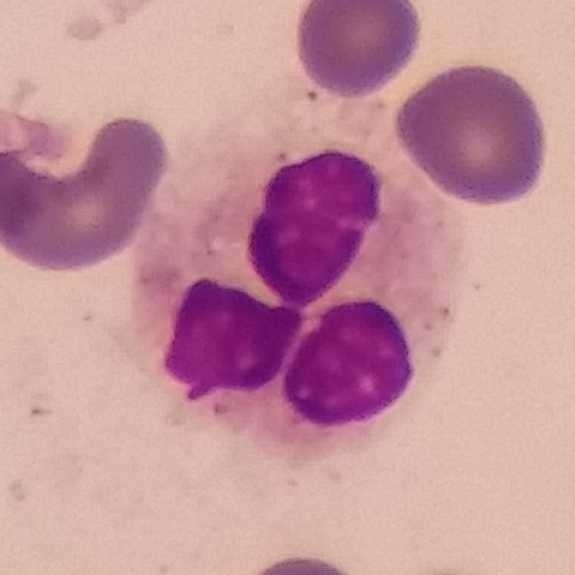

Peripheral blood film.

Identified as a neutrophilic granulocyte.